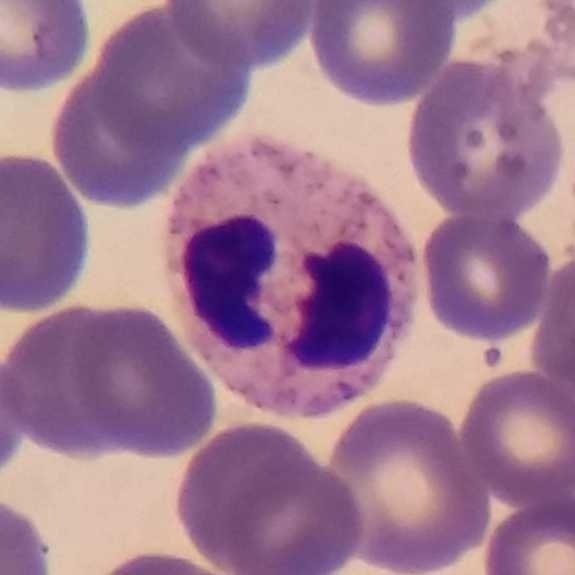{"cell_type": "neutrophil"}